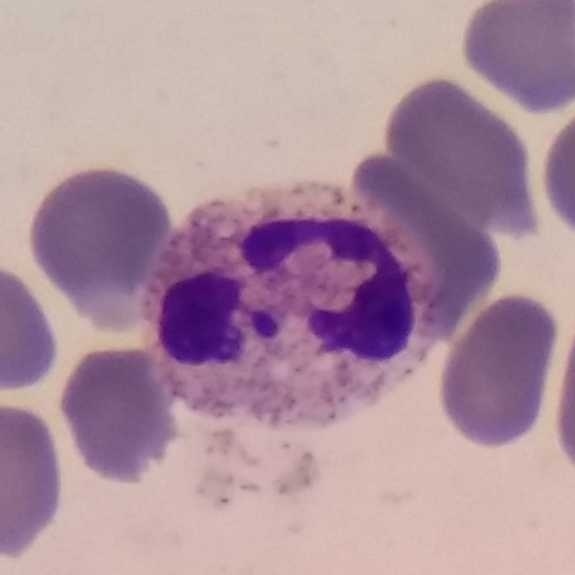{"cell_type": "neutrophil"}